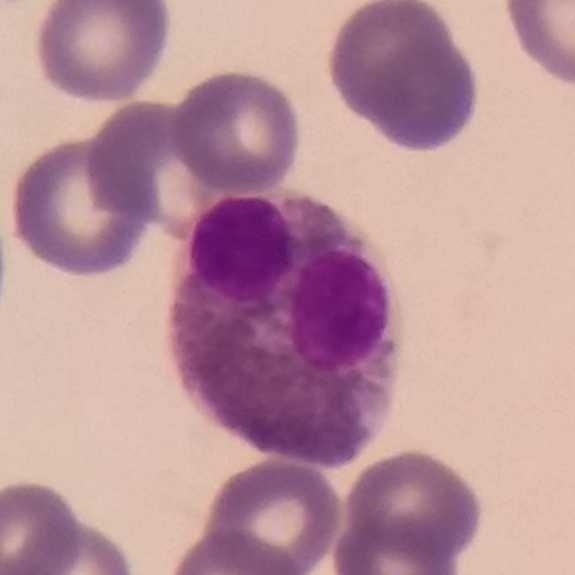
Cell — eosinophilic granulocyte. Image: Peripheral blood film.